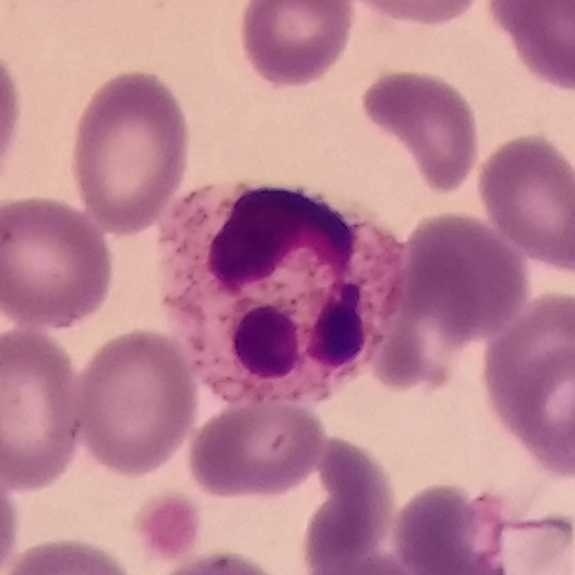 Cell = neutrophil.